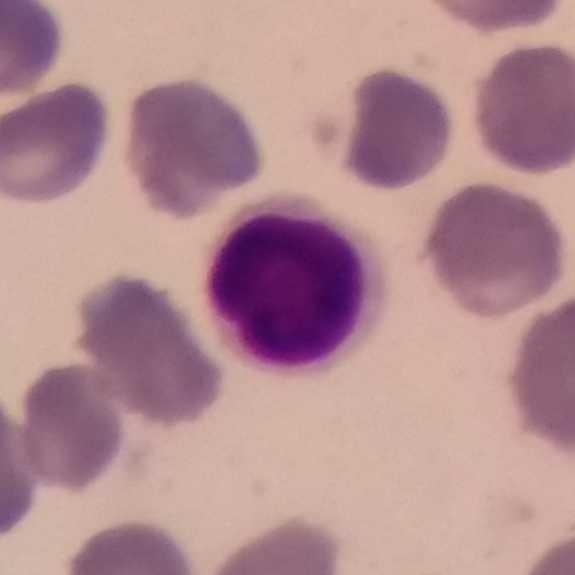 The white blood cell in this image is a lymphocyte.